Image size 575×575; peripheral blood smear
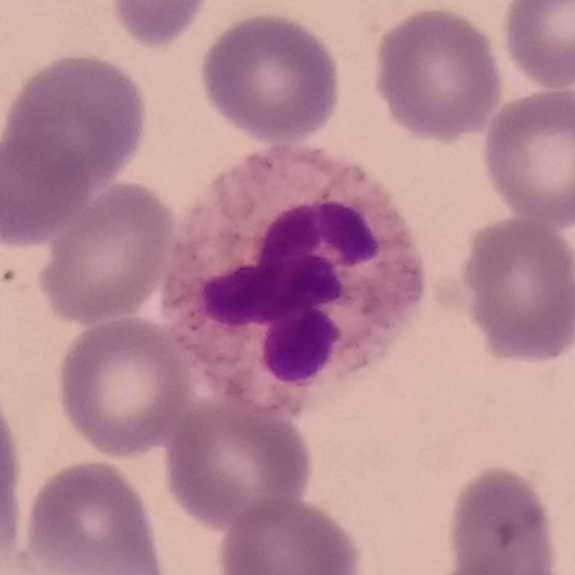 Classification = neutrophilic granulocyte.